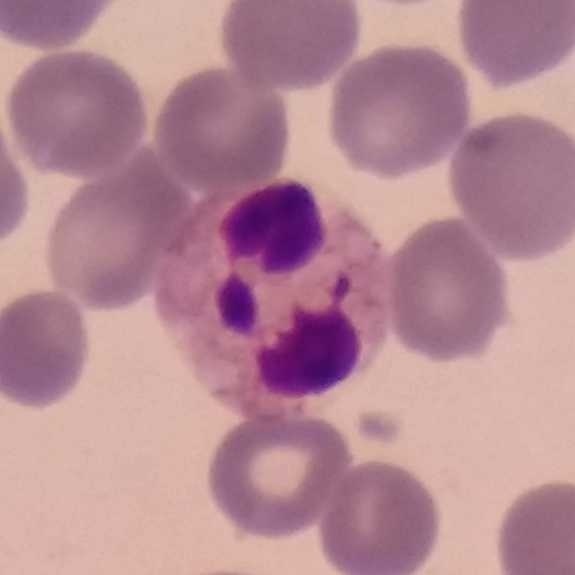Morphology — neutrophil granulocyte.